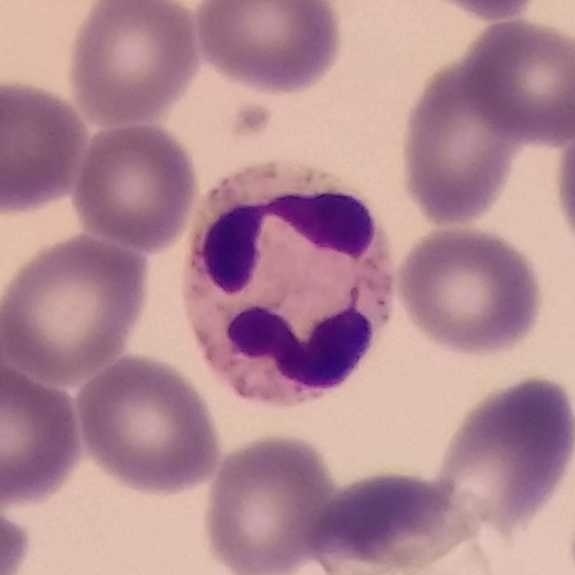 The cell shown is a neutrophilic granulocyte.